Photographed through a light microscope with a smartphone camera; peripheral blood film; cropped to one leukocyte — 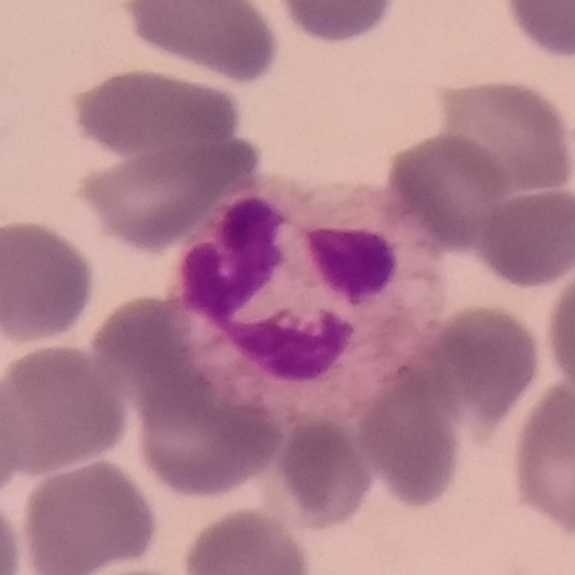 The white blood cell type is neutrophil.